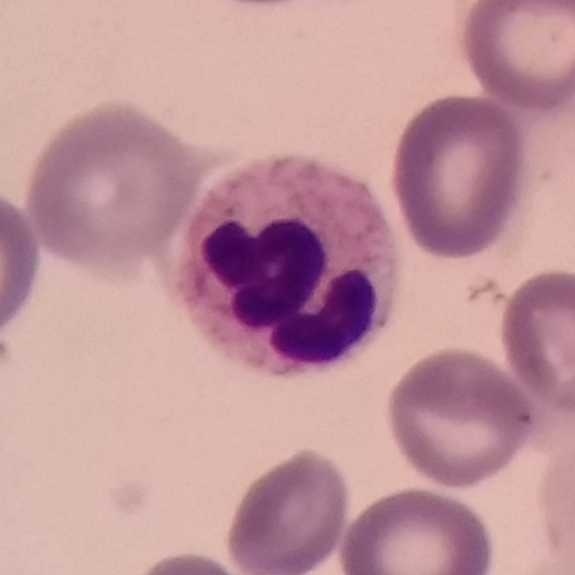A neutrophilic granulocyte.

Acquisition: Imaged at 100×. Peripheral blood film.